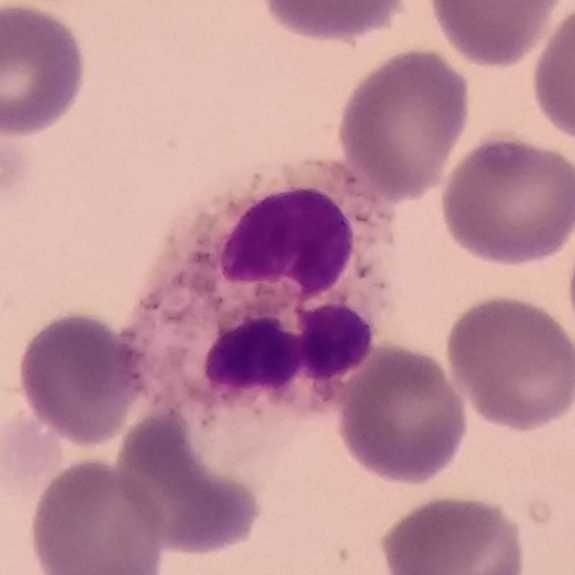 Peripheral blood film, single cell — neutrophil.